Peripheral blood smear
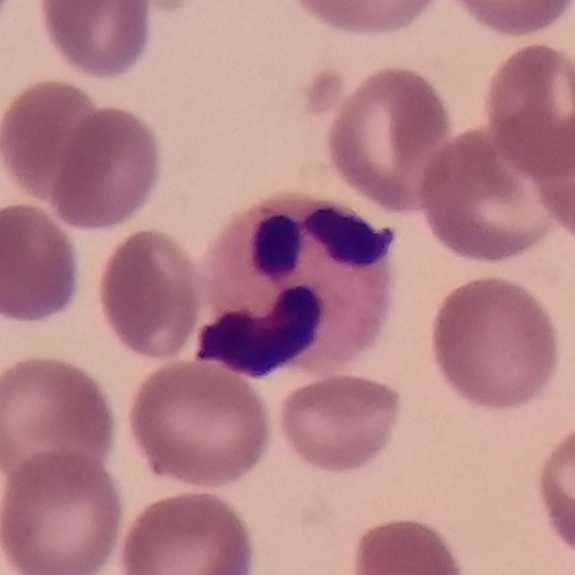
Q: What cell is this?
A: This is a neutrophil.